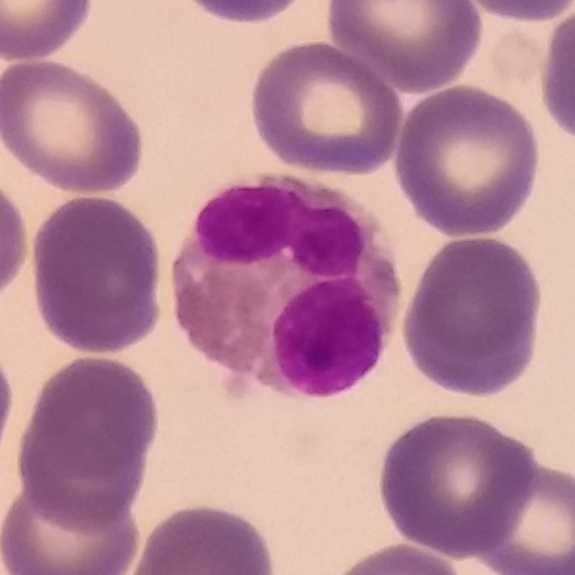

Eosinophil.

Peripheral blood smear.